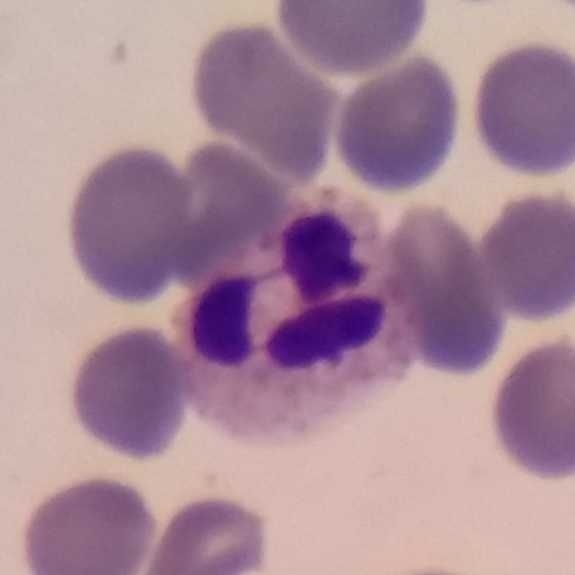

From a peripheral blood smear: a neutrophil granulocyte.